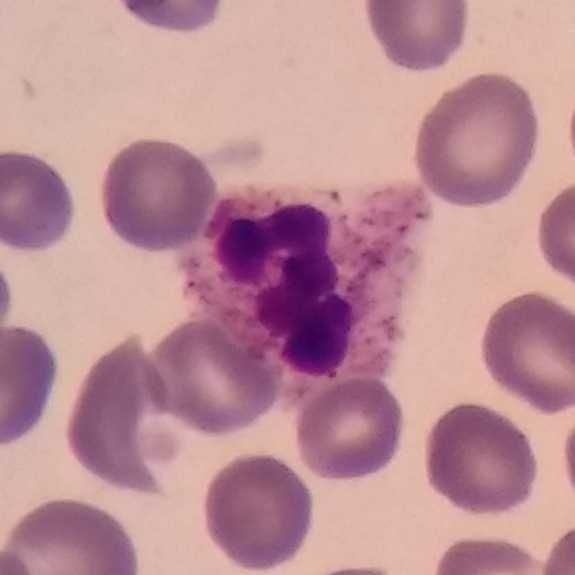

Peripheral blood smear.

Morphology → neutrophil.